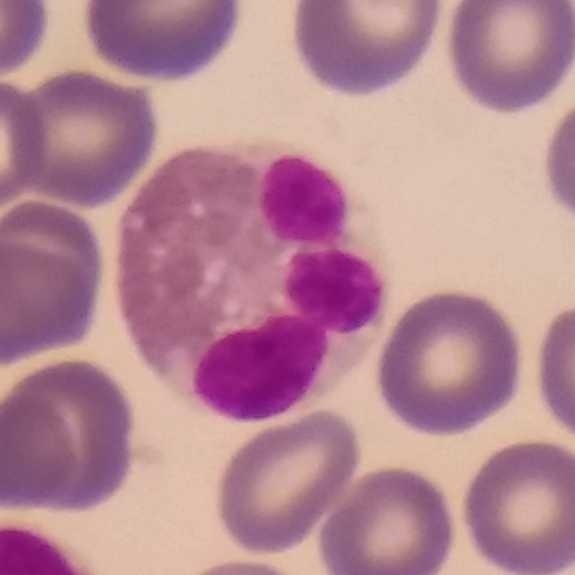 Q: What is shown here?
A: It is an eosinophil.